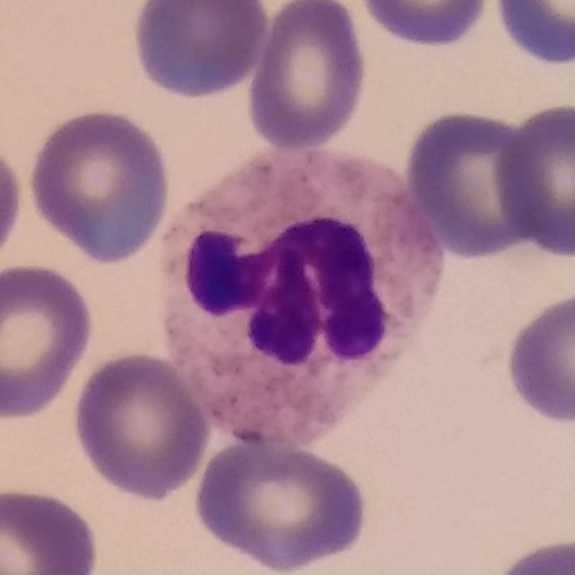 This is a neutrophil.

575 by 575 pixels; peripheral blood film; smartphone photomicrograph.